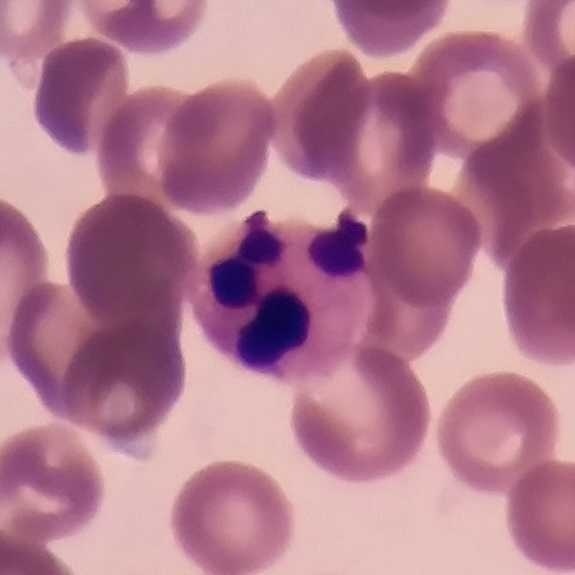

Identified as a neutrophil granulocyte.

Magnification 100×; 575×575 px; peripheral blood smear.